Cropped to one leukocyte; peripheral blood film:
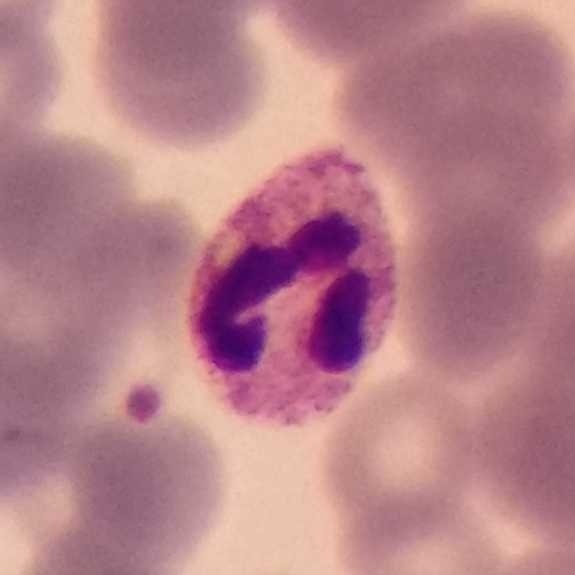
Q: What is this?
A: Neutrophil.